Peripheral blood smear
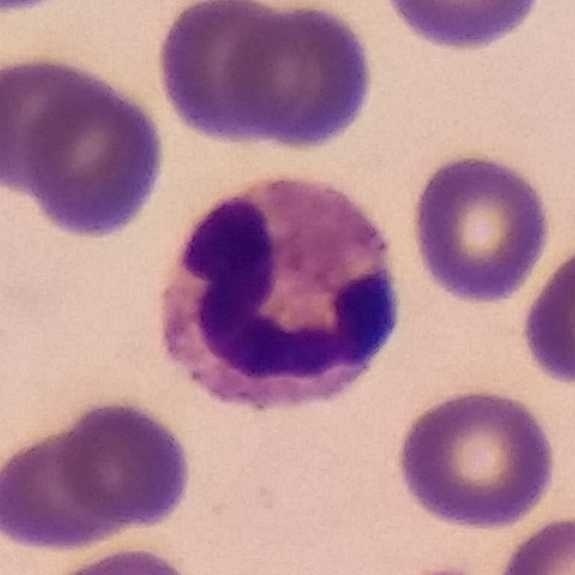

Showing a neutrophilic granulocyte.